Peripheral blood film: 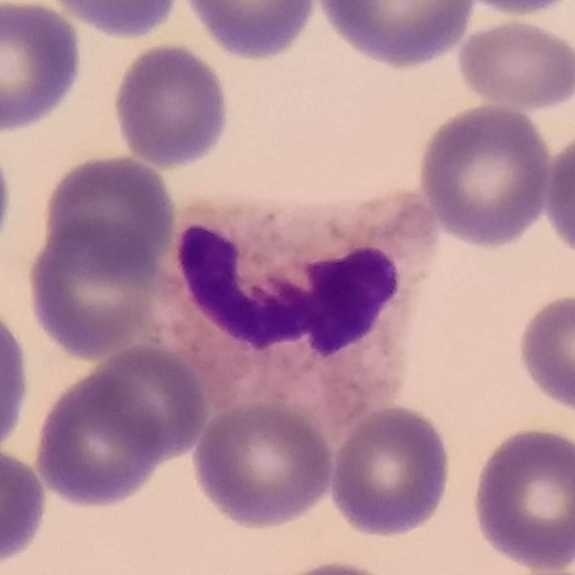
Impression — neutrophil.